Peripheral blood smear. Phone-camera image taken through the microscope ocular
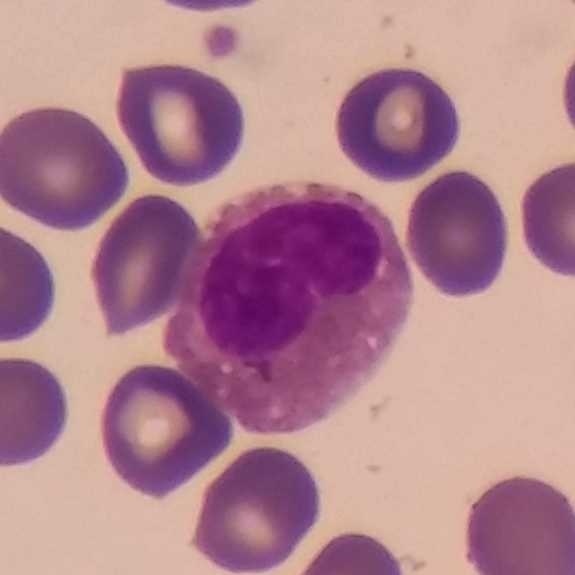The white blood cell in this image is an eosinophil.